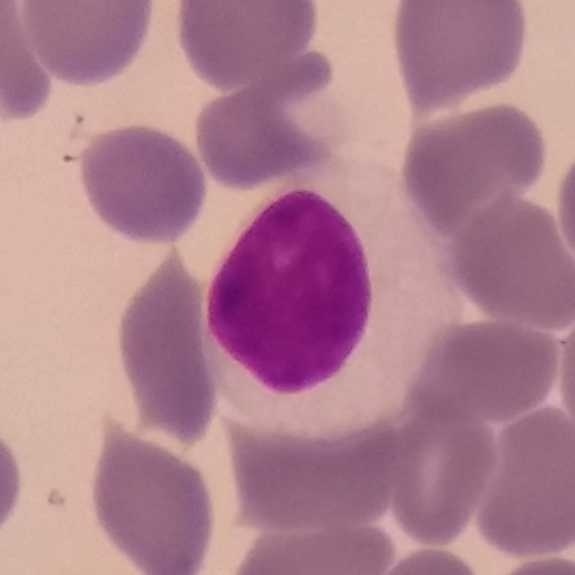Single-cell field; magnification 100×; peripheral blood smear. Q: What type of cell is this?
A: A lymphocyte.